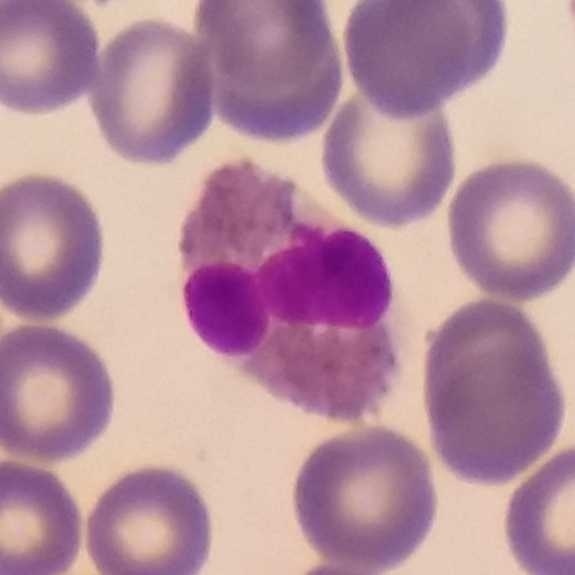

Specimen: peripheral blood smear.
Cell type: eosinophilic granulocyte.